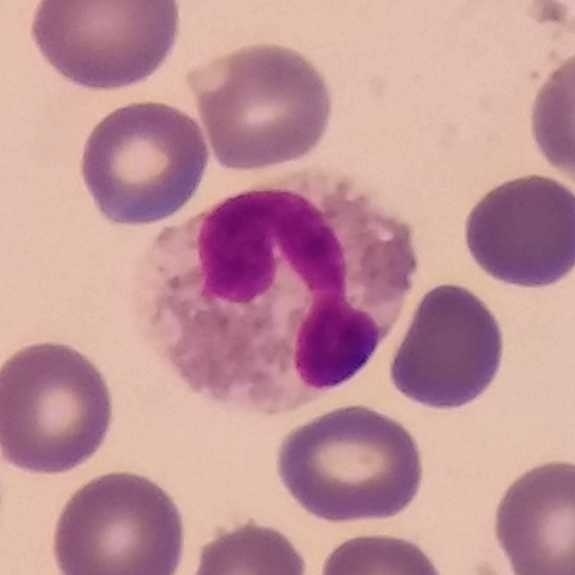 This is an eosinophil. Image: Peripheral blood film.